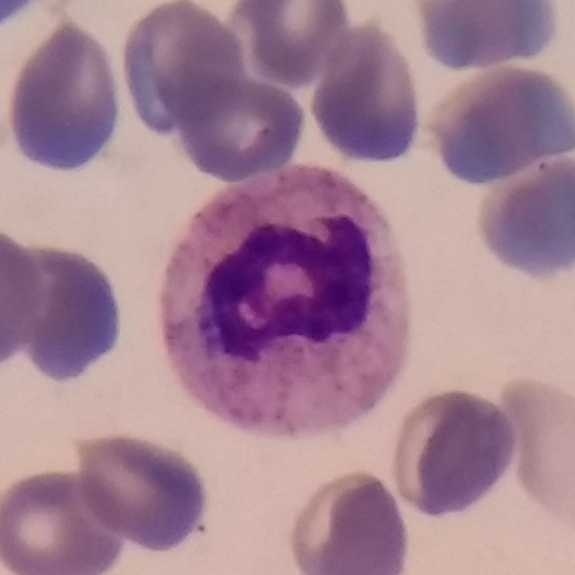 This is a neutrophilic granulocyte. Acquisition: Peripheral blood film.